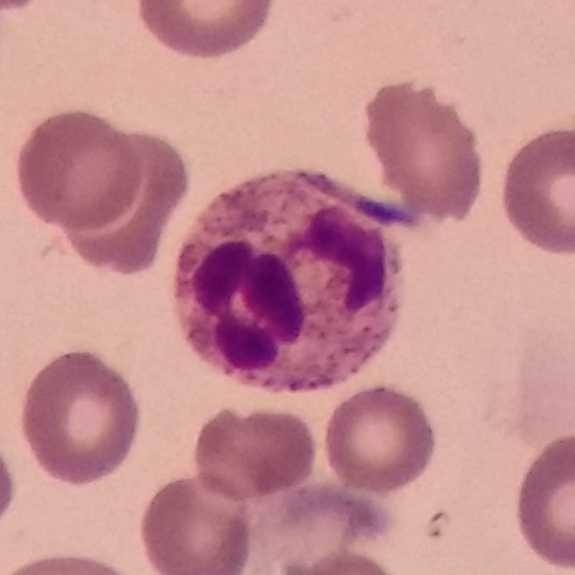 Preparation: Giemsa stain. 575 by 575 pixels.

Specimen: peripheral blood film.
Cell: neutrophilic granulocyte.
Lineage: myeloid.